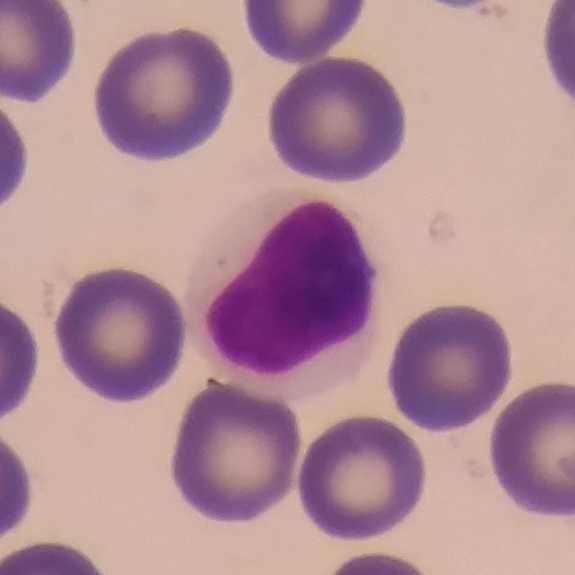 Peripheral blood film.

Identified as a lymphocyte.